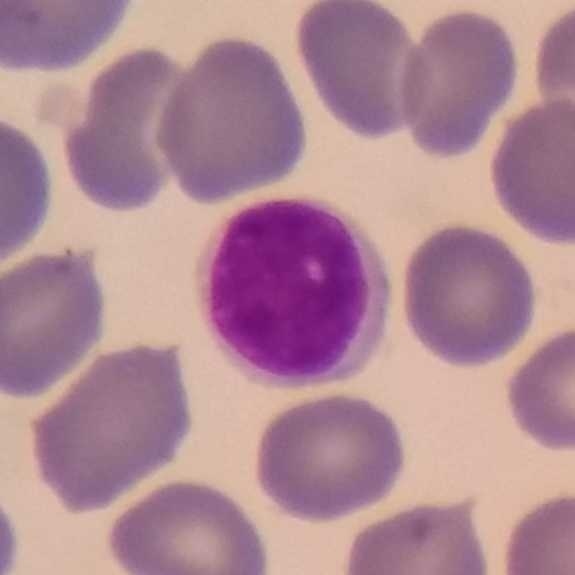

Morphology consistent with a lymphocyte.

Stained with Giemsa · 100× magnification · peripheral blood film.